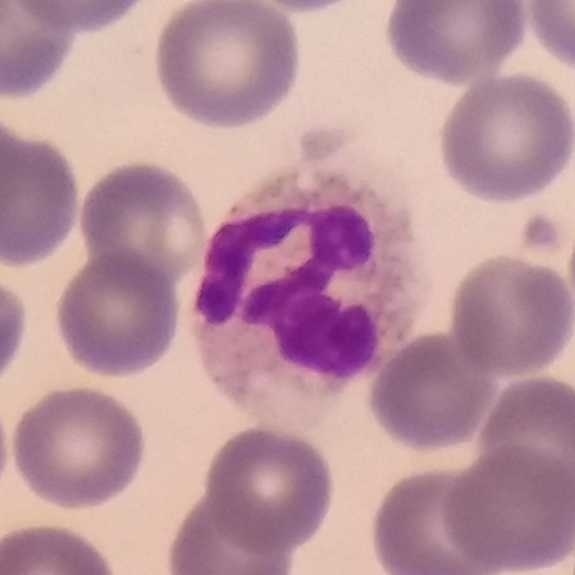
Single cell identified as a neutrophil granulocyte. Acquisition: Stained with Giemsa. Peripheral blood film.